Peripheral blood smear. Magnification 100×:
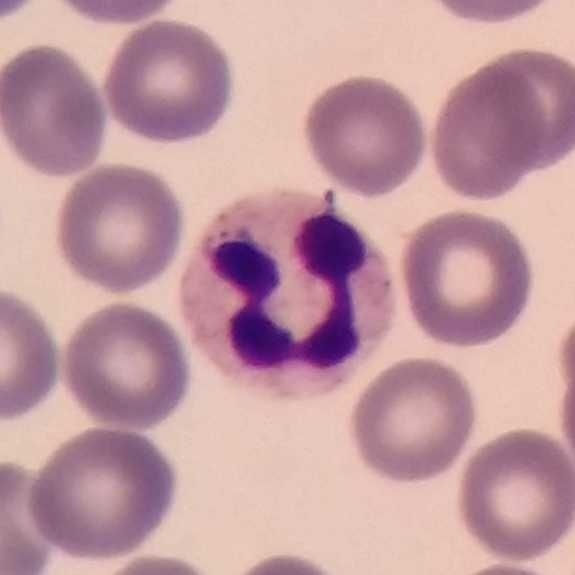 Q: Identify the cell.
A: It is a neutrophil.